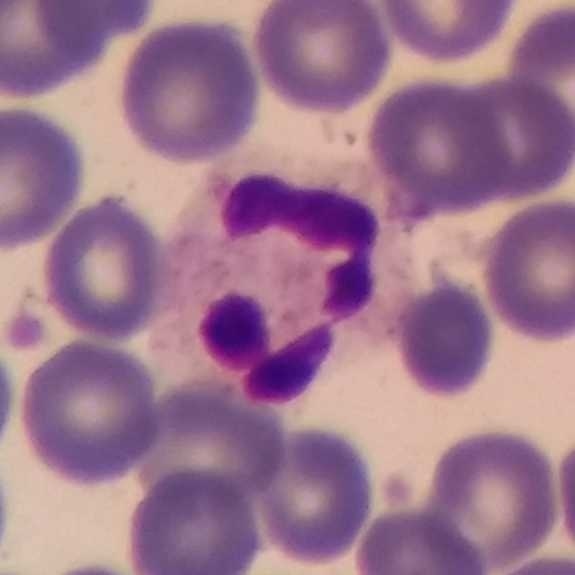

A neutrophil.